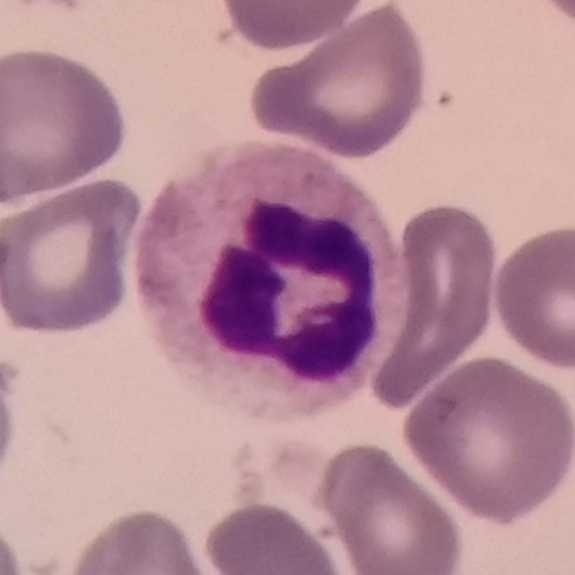
Peripheral blood smear · 575 by 575 pixels.
Q: What is this?
A: A neutrophil.